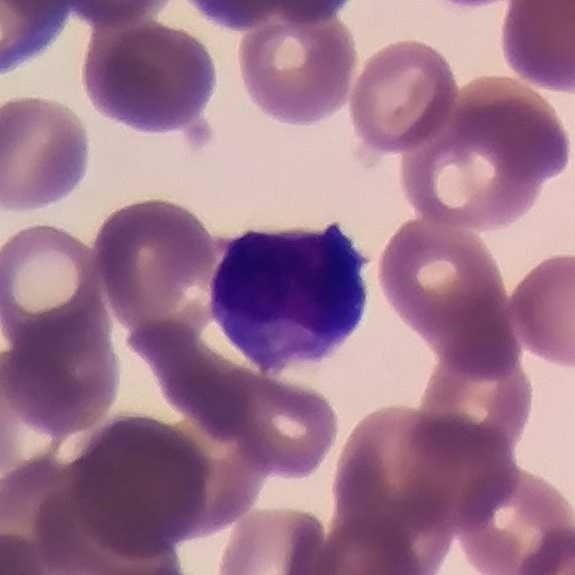

Q: Which cell type is shown here?
A: This is a lymphocyte.